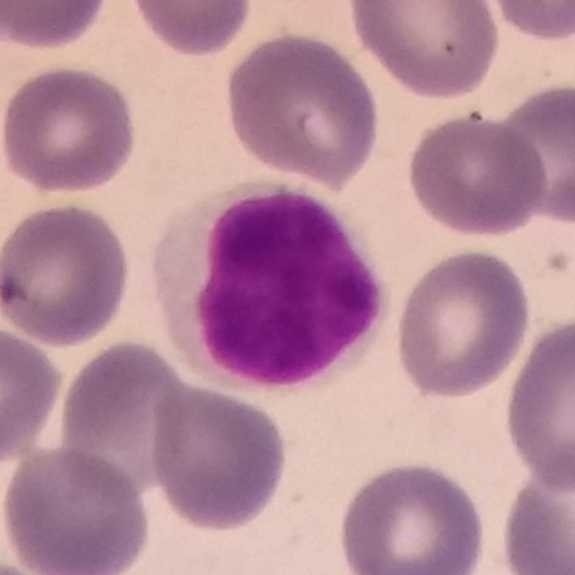Showing a lymphocyte. Image: Peripheral blood film; photographed through a light microscope with a smartphone camera.